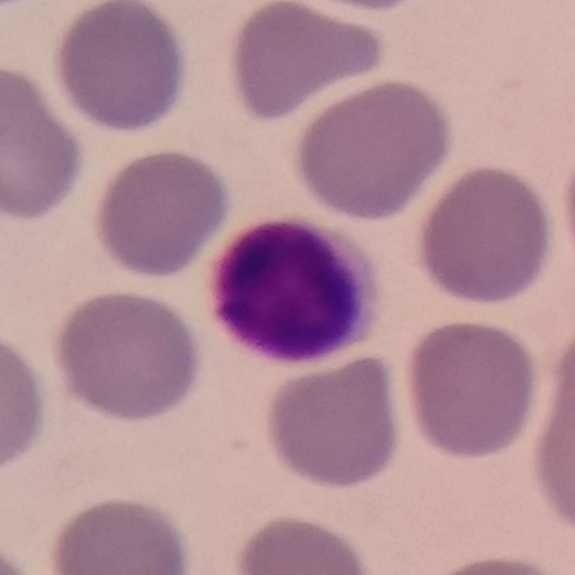
Acquisition: Peripheral blood smear.
Morphological class: lymphocyte.